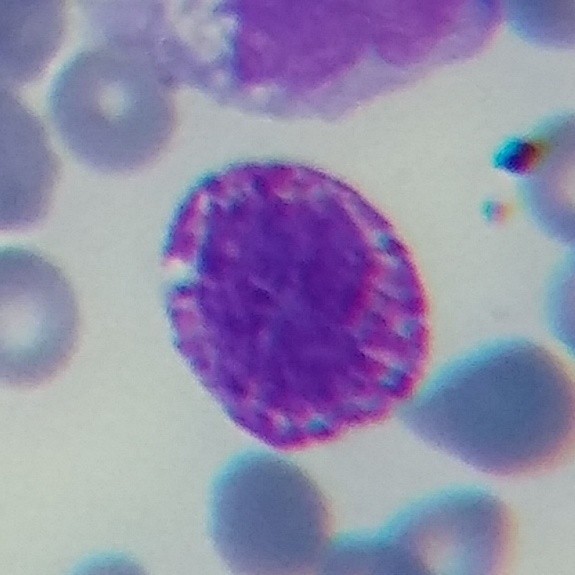The cell shown is a basophilic granulocyte.